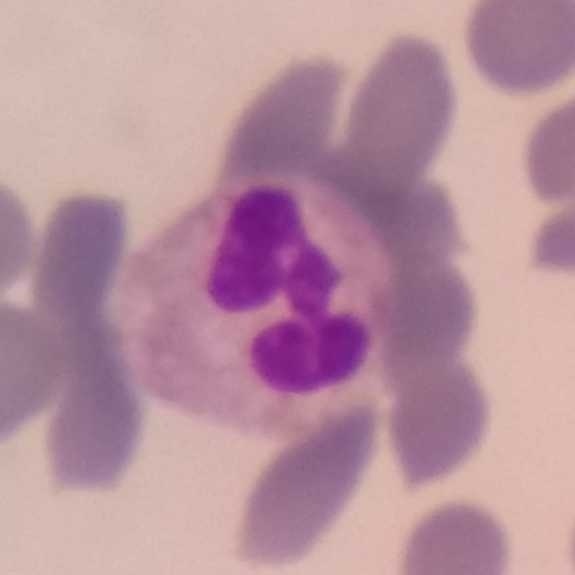Q: What is shown here?
A: This is a neutrophilic granulocyte.